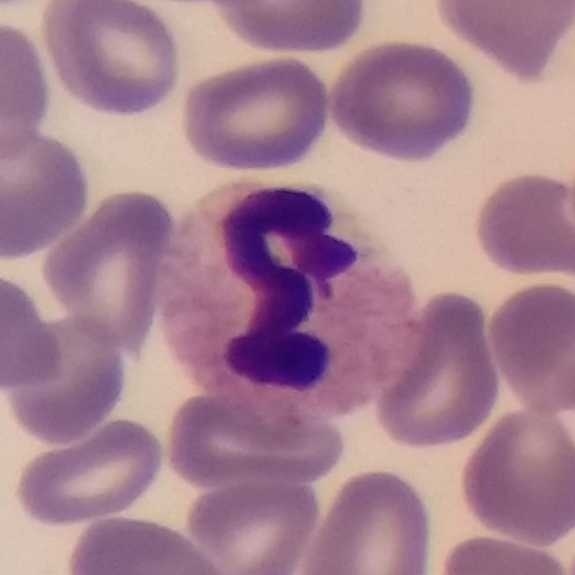Cell type = neutrophilic granulocyte.
Acquisition: Peripheral blood smear.